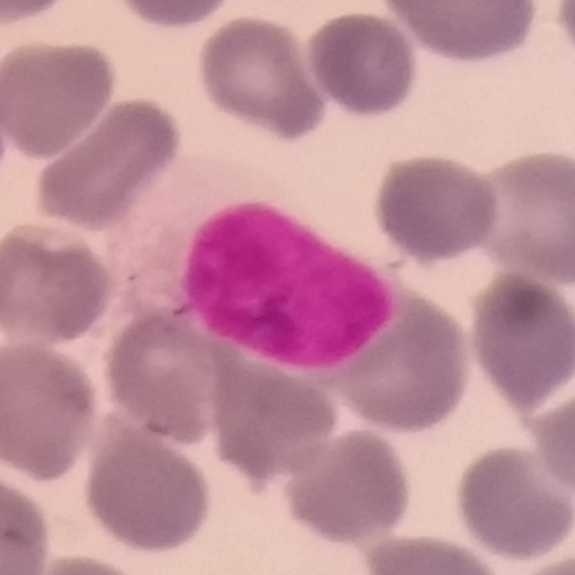

Showing a lymphocyte.